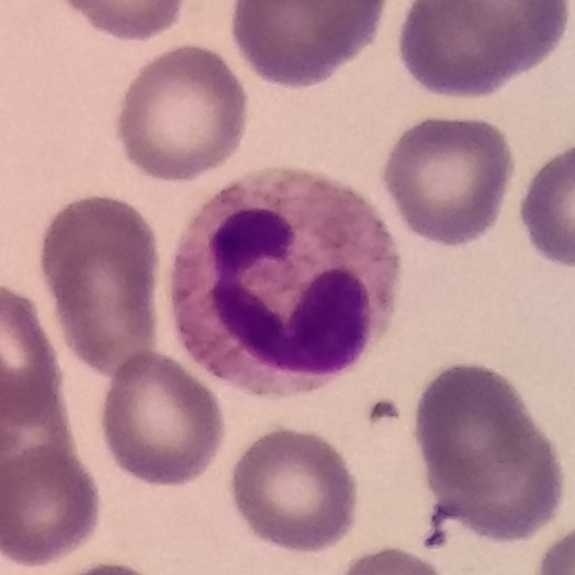
Peripheral blood film · Giemsa-stained.

Morphology consistent with a neutrophil.